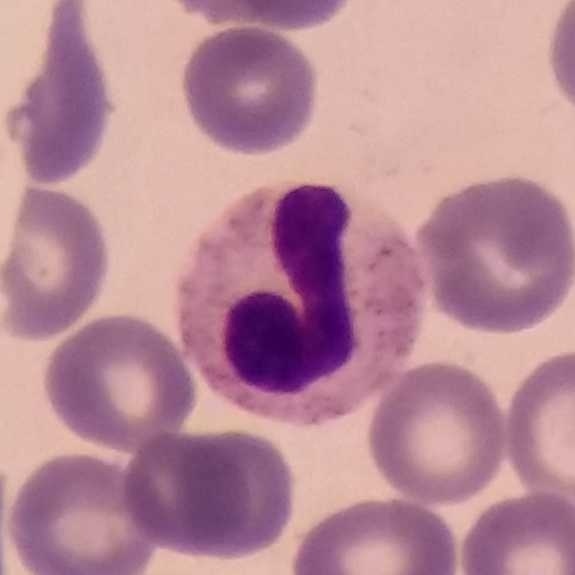
Image: Imaged at 100×. Smartphone camera mounted on the microscope eyepiece. Peripheral blood film. Cell = neutrophil granulocyte.